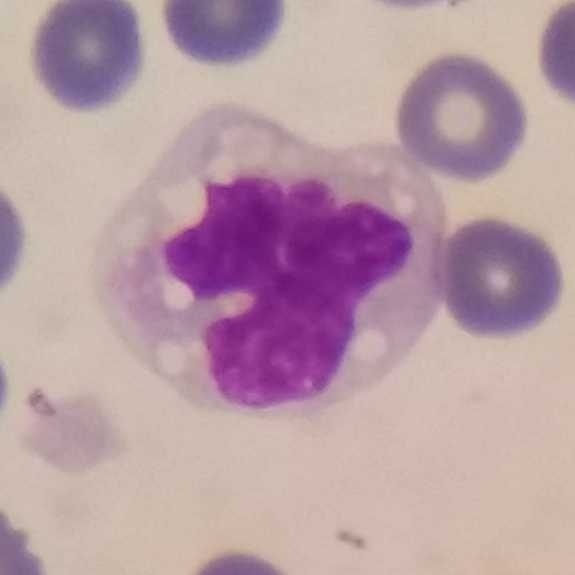

Peripheral blood film. Single-cell crop. Imaged at 100×.
The white blood cell in this image is a monocyte.